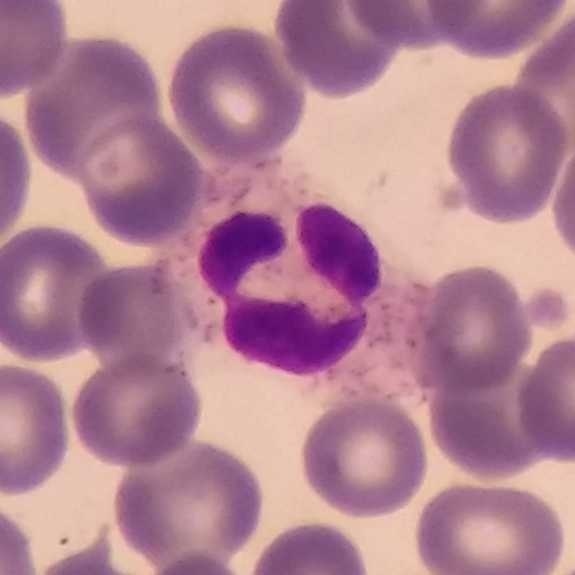

Specimen: peripheral blood smear.
Morphological class: neutrophil granulocyte.